Giemsa-stained; peripheral blood smear.
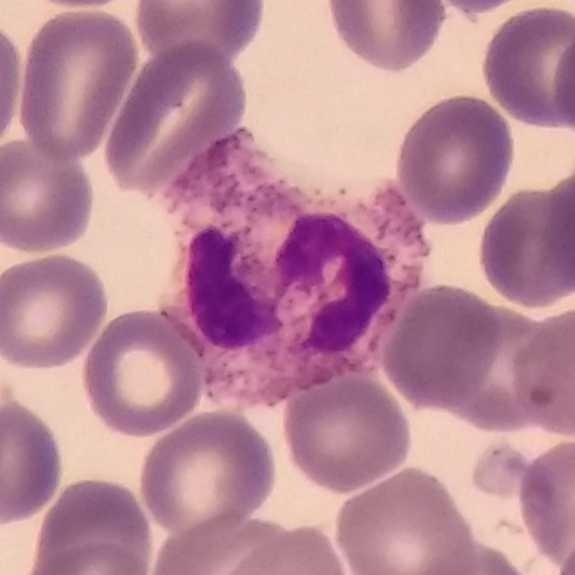
Specimen: peripheral blood smear.
Cell type: neutrophil.